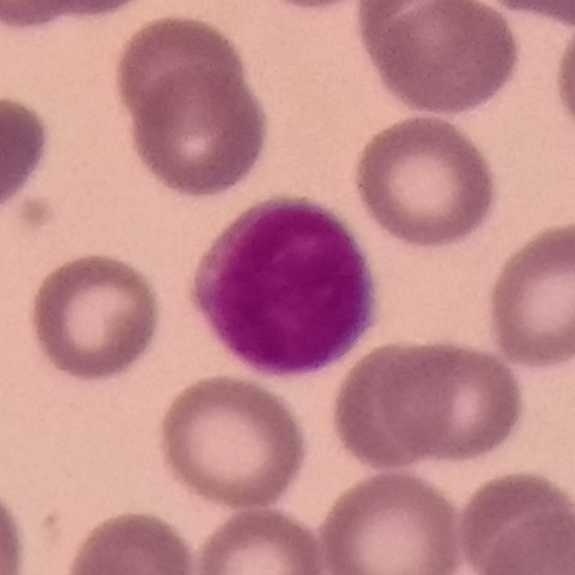

Peripheral blood smear.

Classification = lymphocyte.